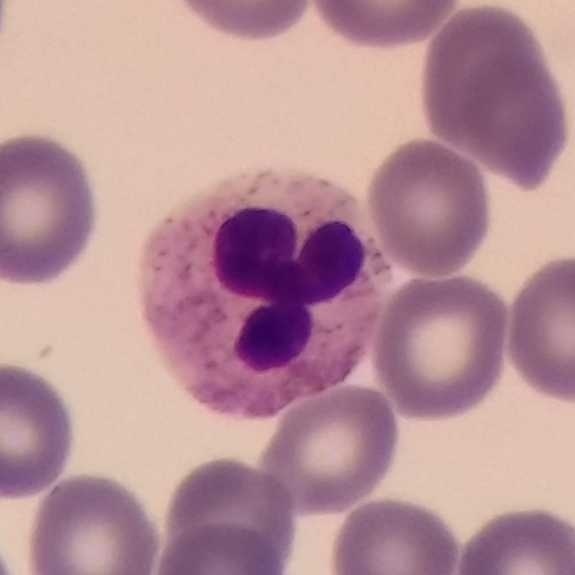

Cell type: neutrophil.
Image: Phone-camera image taken through the microscope ocular. Peripheral blood film.